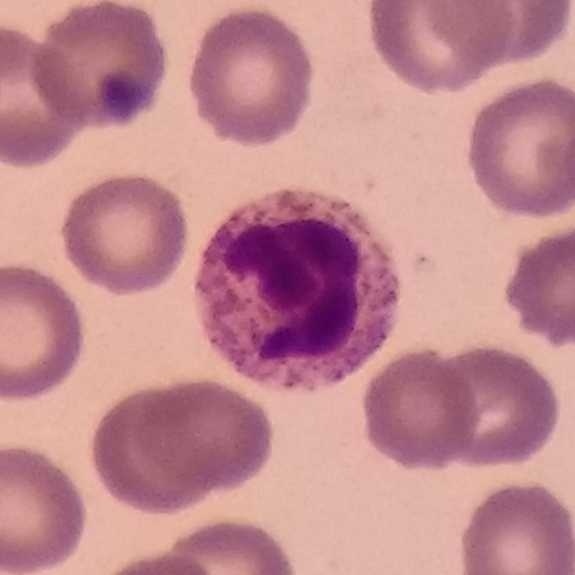 Context: Peripheral blood film.

Impression → neutrophil granulocyte.